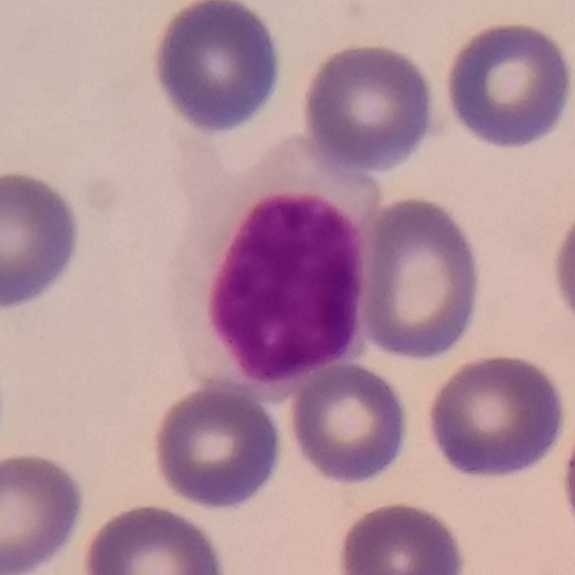
Specimen: peripheral blood smear.
Cell: lymphocyte.